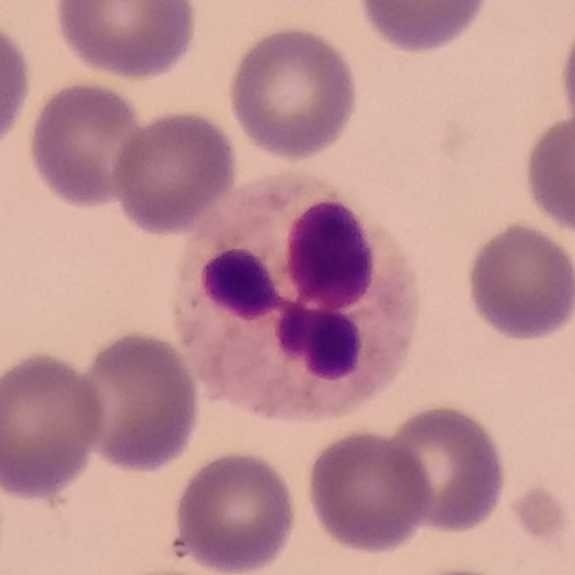

Specimen: peripheral blood film.
Cell: neutrophil granulocyte.